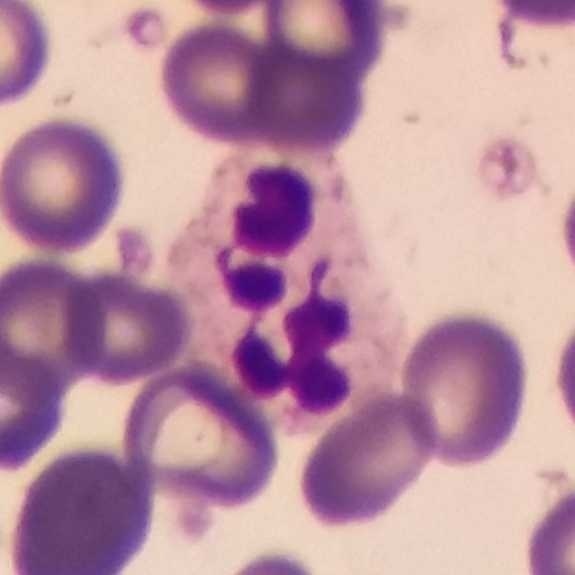
Specimen: peripheral blood film.
Cell: neutrophilic granulocyte.
Lineage: myeloid.